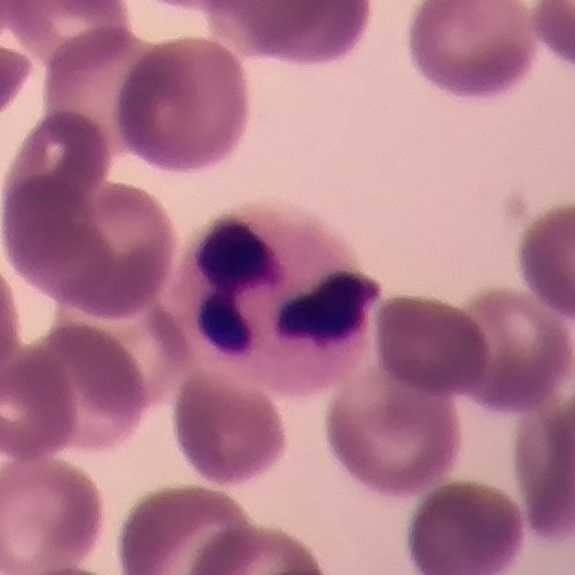

Giemsa stain; peripheral blood smear.
Morphological class — neutrophil.